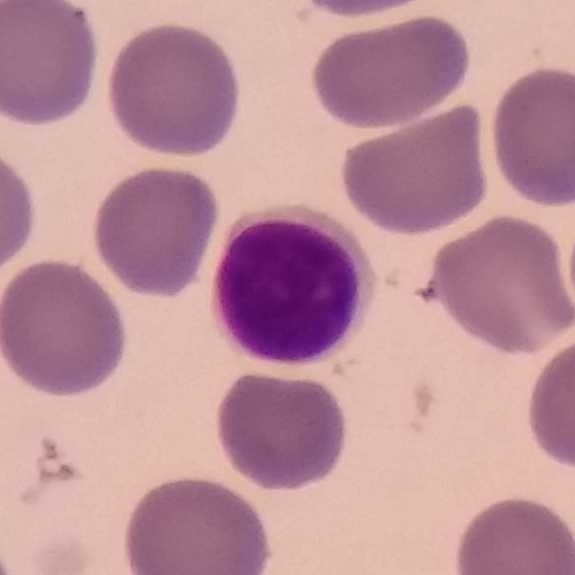Context: Peripheral blood film · 575×575.
A lymphocyte.